Peripheral blood film. Imaged at 100× — 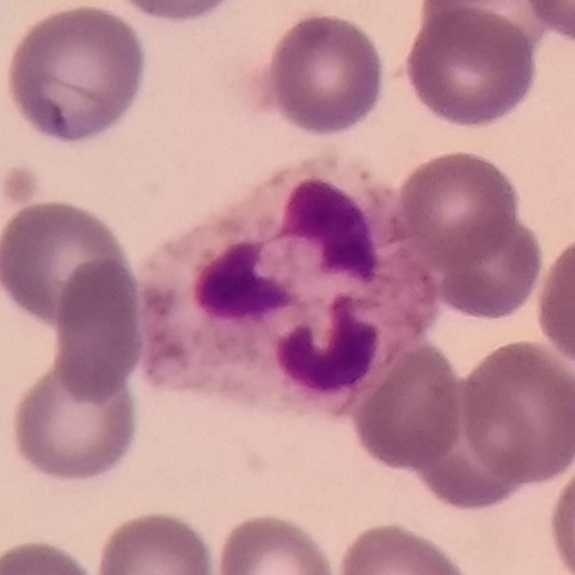This is a neutrophil.